575×575. Peripheral blood smear: 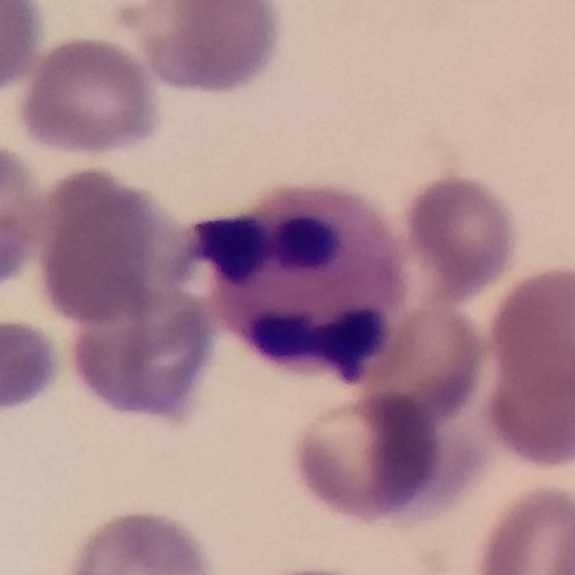The white blood cell type is neutrophilic granulocyte.